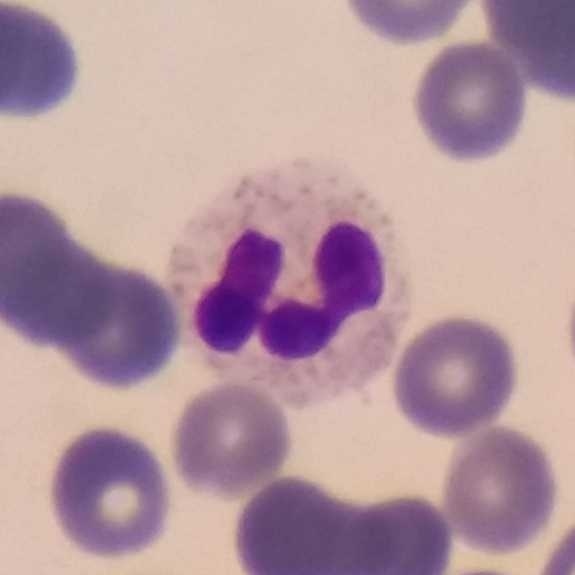
Cell type = neutrophil granulocyte.